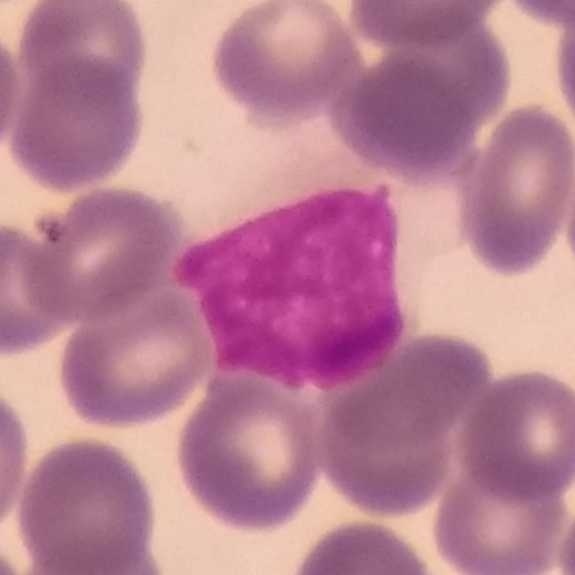 575 by 575 pixels.
Specimen: peripheral blood smear.
Classification: monocyte.
Lineage: myeloid.